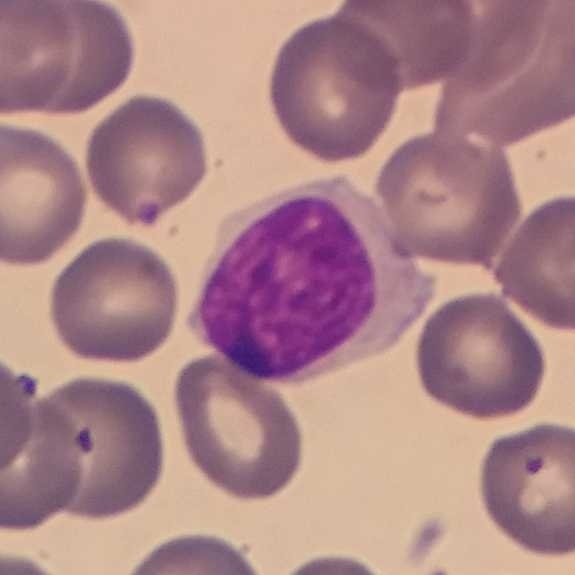The cell shown is a lymphocyte.
Context: Peripheral blood film.